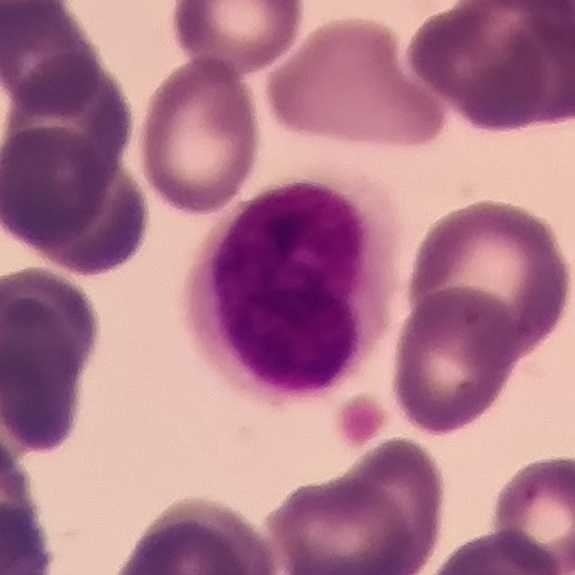
White blood cell type: lymphocyte.